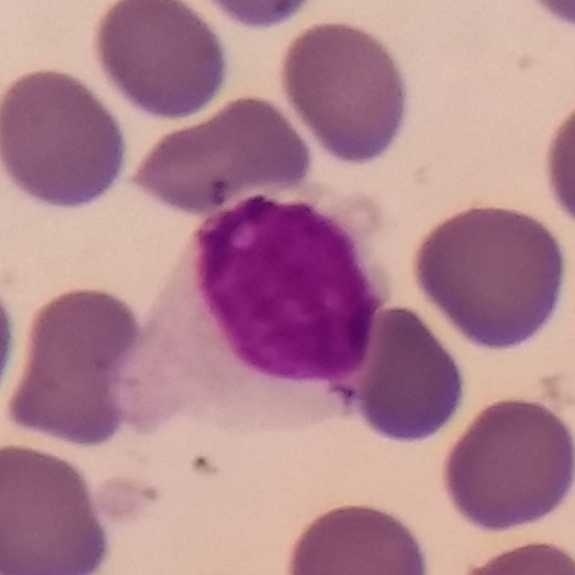Specimen: peripheral blood film.
Classification: lymphocyte.
Lineage: lymphoid.